Peripheral blood film.
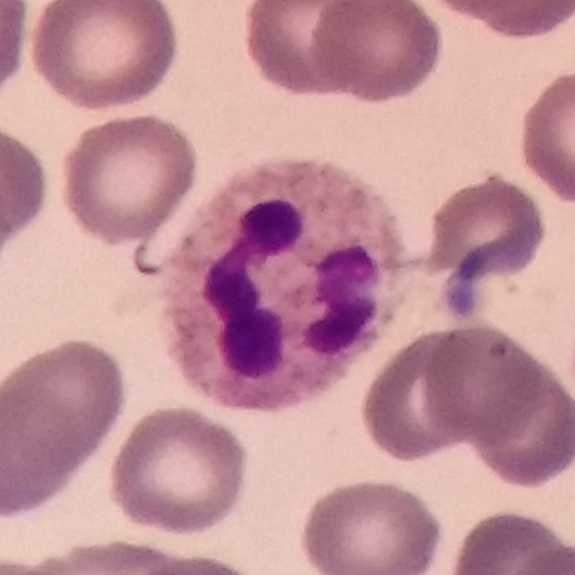

Impression — neutrophilic granulocyte.